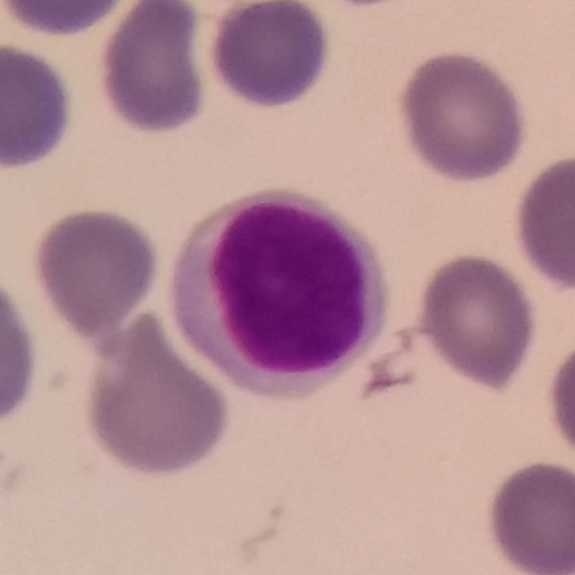

Cell type — lymphocyte.

Preparation: 100× magnification · peripheral blood film.